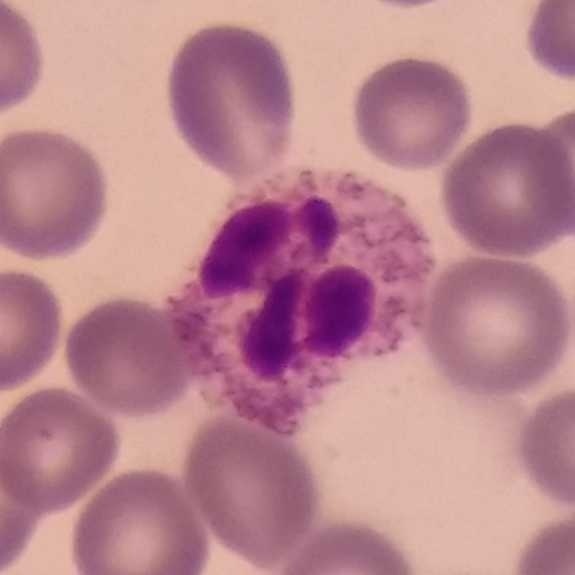 Morphology consistent with a neutrophil granulocyte.